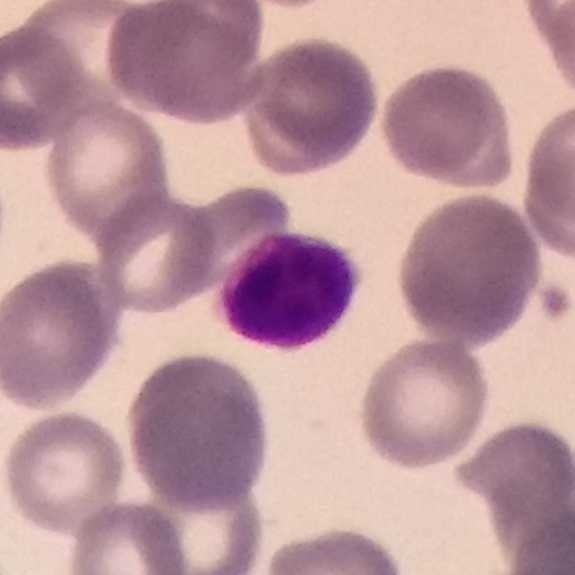 Cell: lymphocyte.